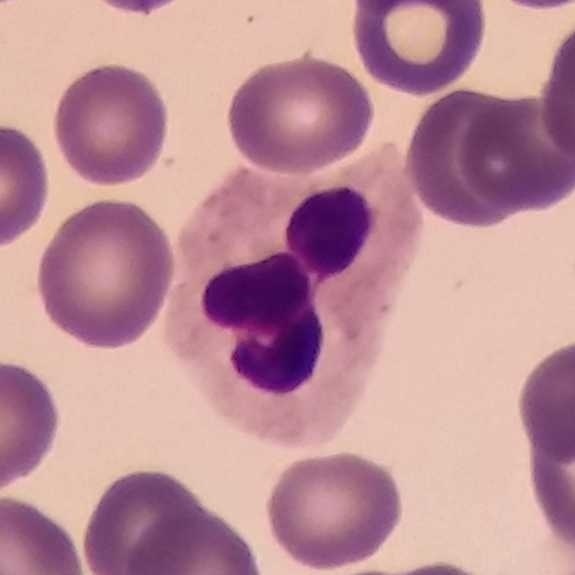Image: Peripheral blood film · 575×575. Neutrophil granulocyte.